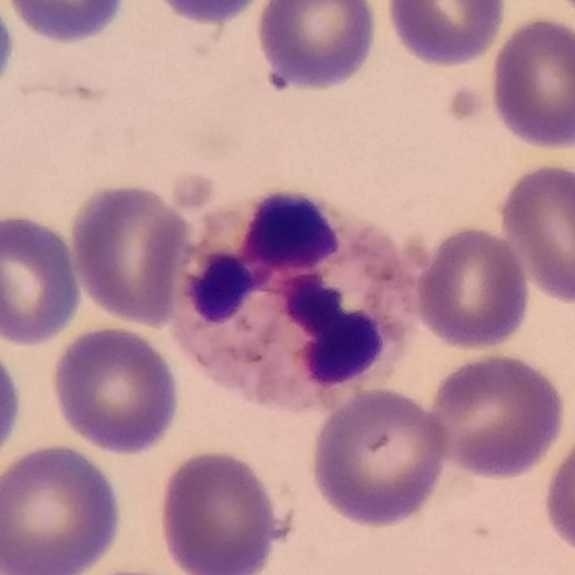
Morphology consistent with a neutrophilic granulocyte.